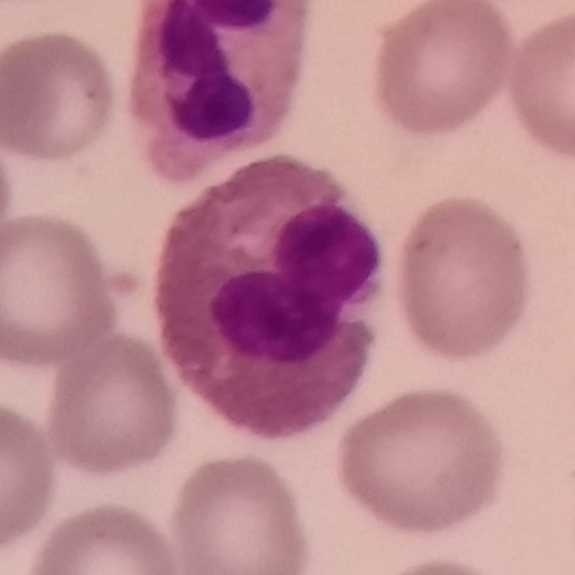 Morphology — eosinophilic granulocyte. Peripheral blood film.